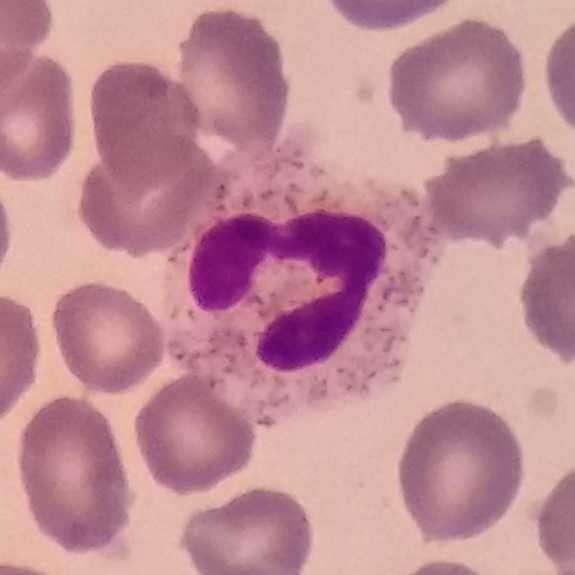
The white blood cell in this image is a neutrophilic granulocyte.
Image: Peripheral blood smear.